Peripheral blood film.
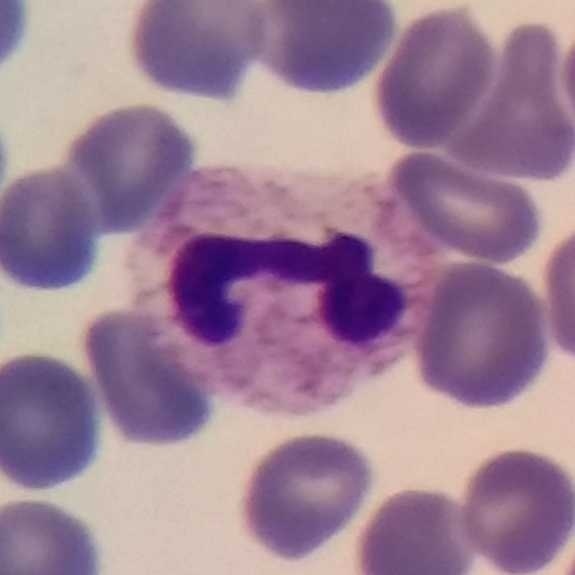

{"cell_type": "neutrophil granulocyte"}